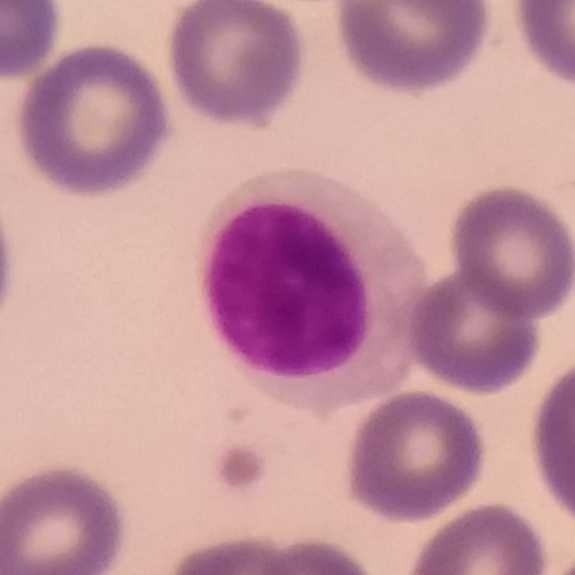

Morphological class = lymphocyte. Stained with Giemsa; peripheral blood film; 575×575.